Peripheral blood smear · Giemsa stain · 575 by 575 pixels:
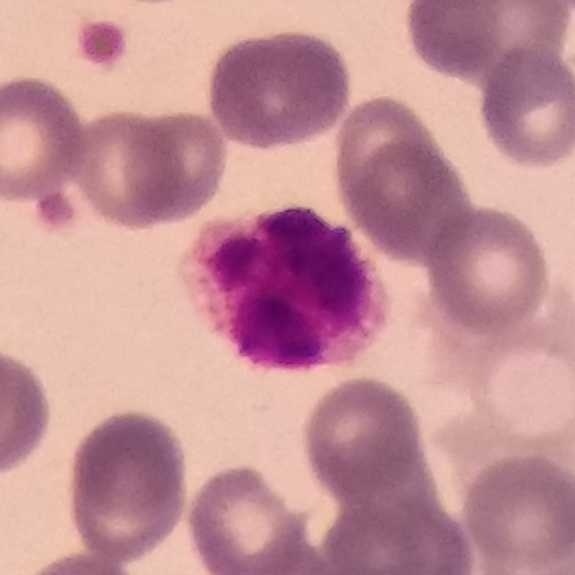{"cell_type": "neutrophil granulocyte"}